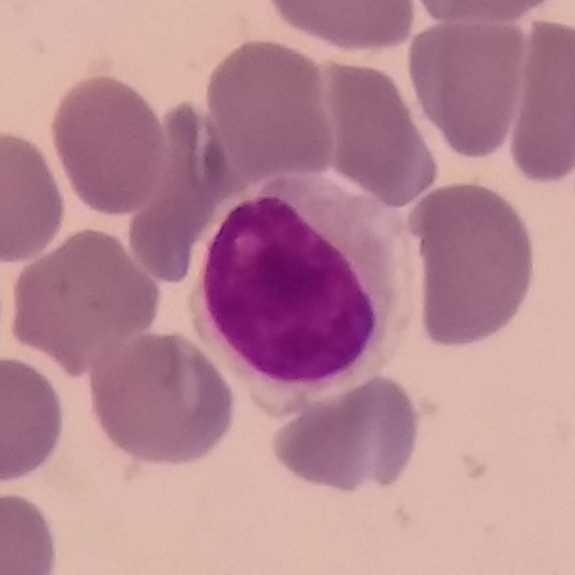 Image: Peripheral blood film.

Single cell identified as a lymphocyte.